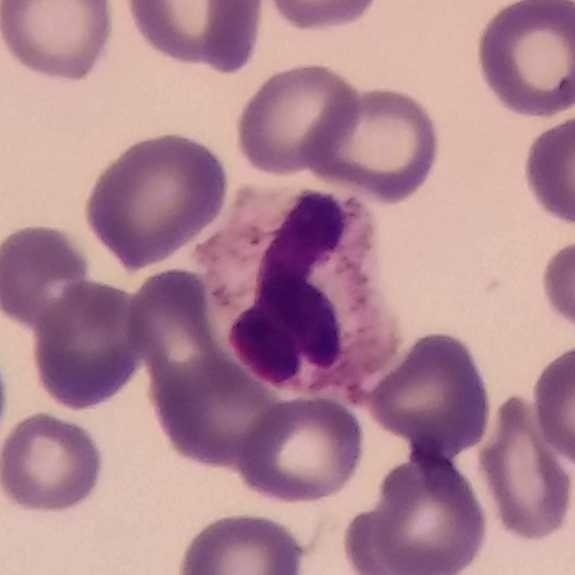Q: Classify this leukocyte.
A: It is a neutrophil. Phone-camera image taken through the microscope ocular; peripheral blood smear.